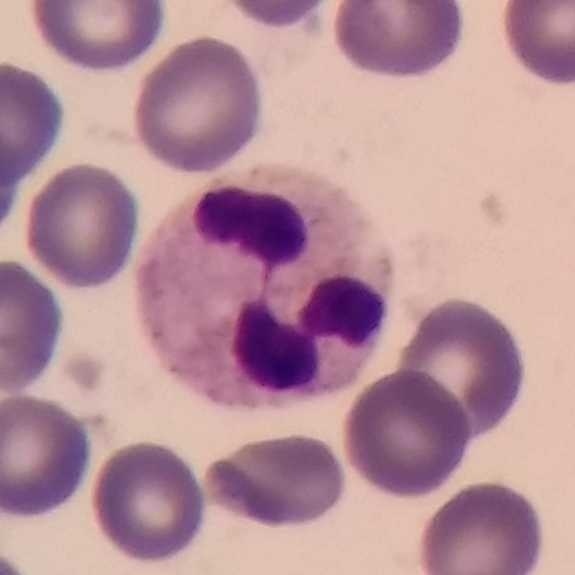

Identified as a neutrophil granulocyte. Cropped to one leukocyte; Giemsa-stained; peripheral blood film.